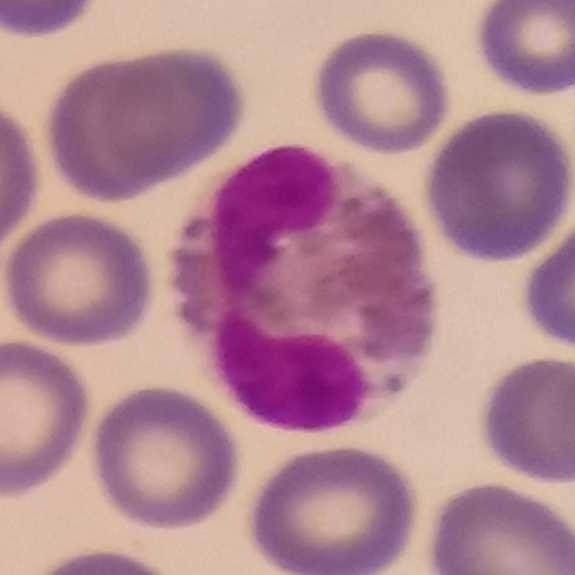

Specimen: peripheral blood film.
Cell: eosinophilic granulocyte.
Lineage: myeloid.